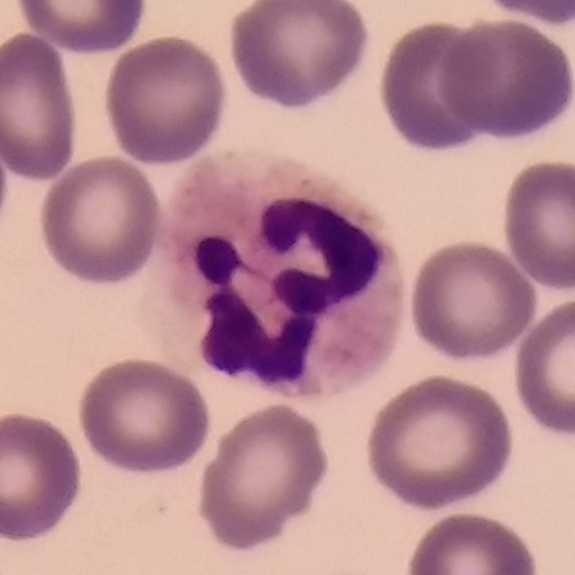
{"cell_type": "neutrophil granulocyte"}